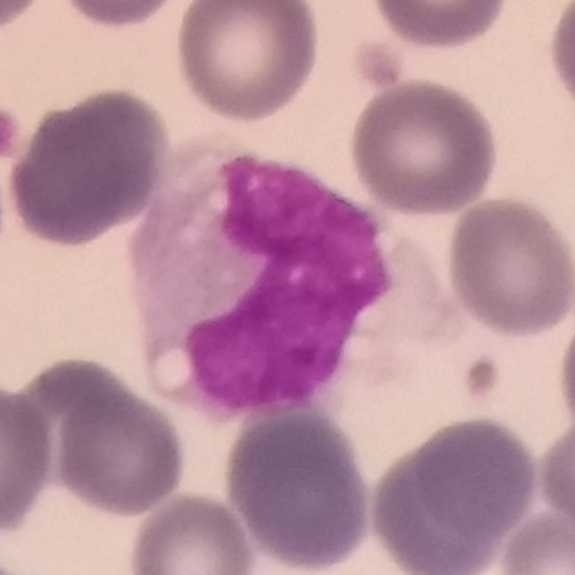

Peripheral blood smear. Q: What is this?
A: It is a monocyte.